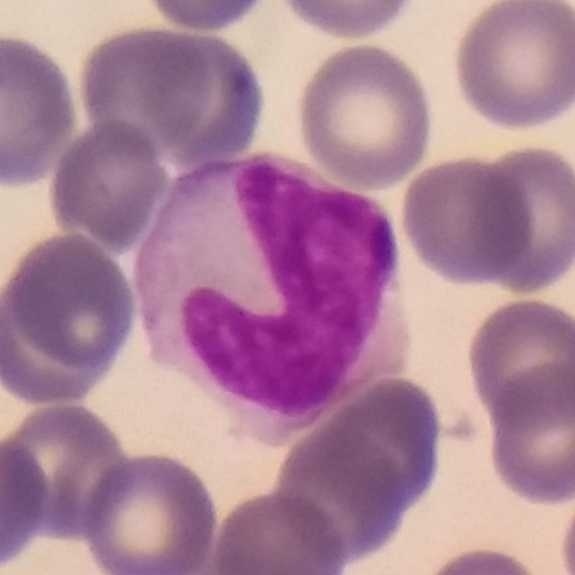 Identified as a monocyte.